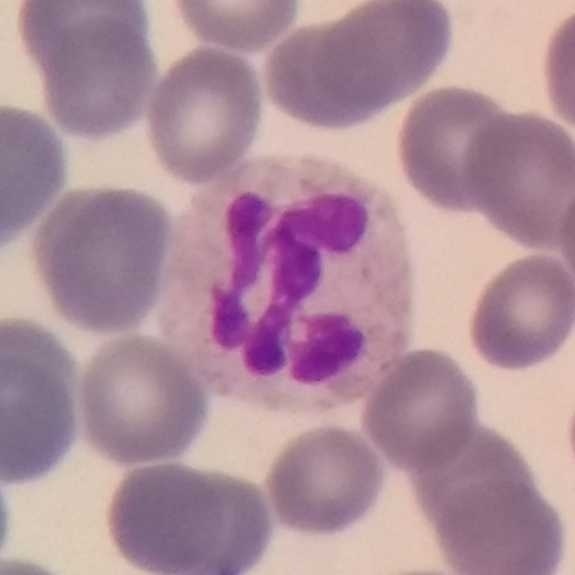Morphology consistent with a neutrophil.